Peripheral blood film
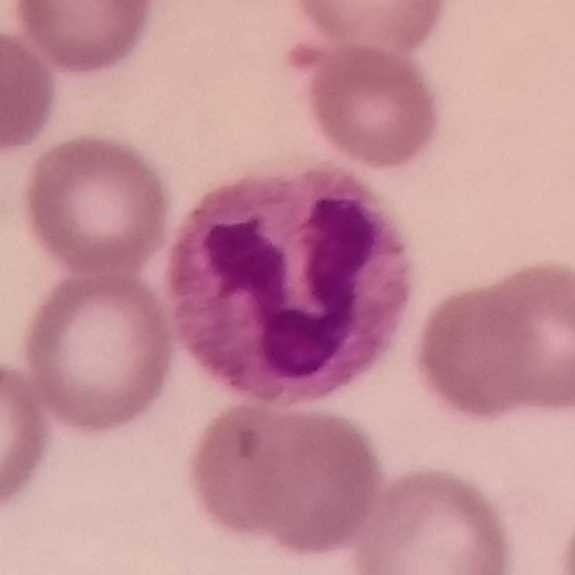
White blood cell type = neutrophil granulocyte.